Peripheral blood film: 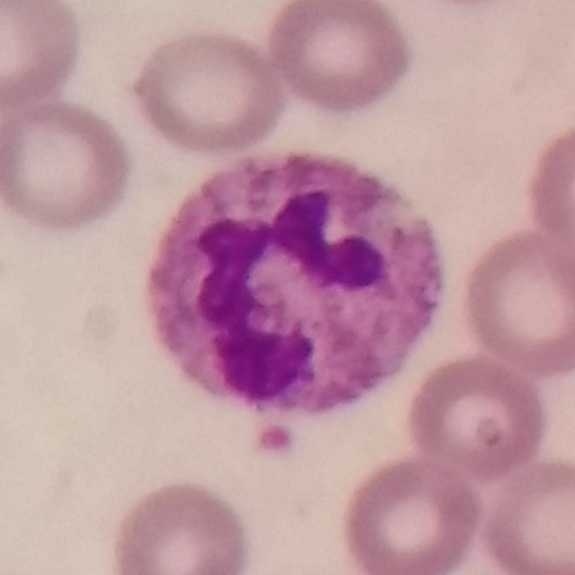
Morphological class = neutrophil.